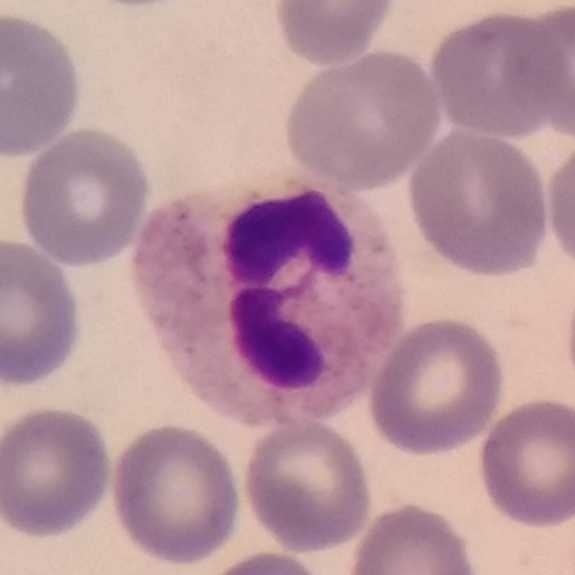 Single cell identified as a neutrophilic granulocyte.

Acquisition: Peripheral blood smear.